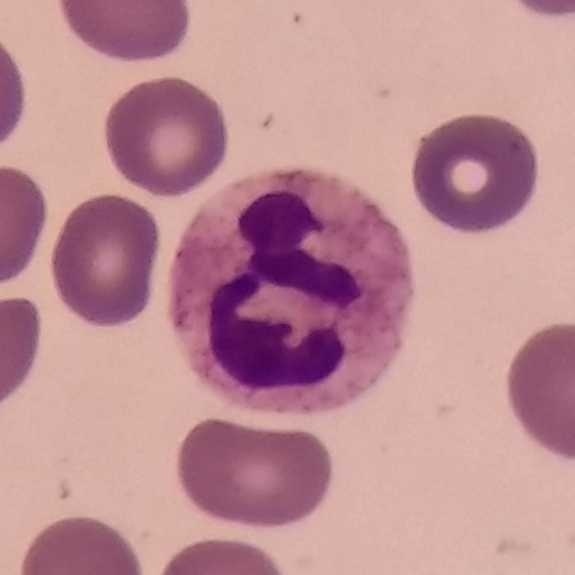 Classification — neutrophilic granulocyte.

Context: Smartphone camera mounted on the microscope eyepiece; peripheral blood smear.